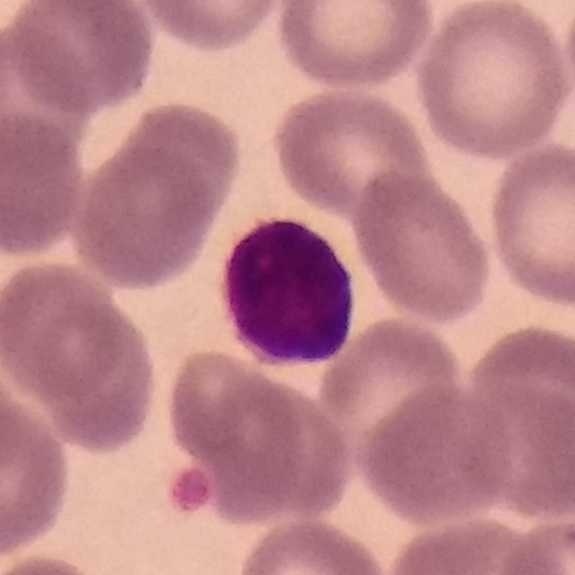 Q: What is the morphological classification of this cell?
A: Lymphocyte. Acquisition: Peripheral blood film; 575×575.